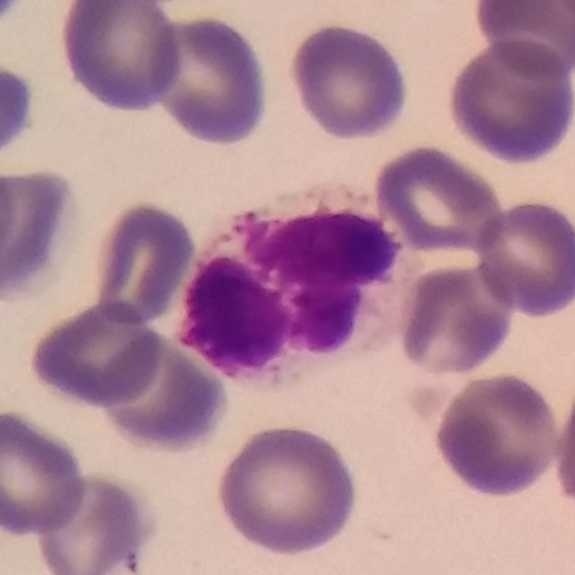

Q: Which cell type is shown here?
A: This is a neutrophil granulocyte. Image: Peripheral blood smear; photographed through a light microscope with a smartphone camera; magnification 100×.